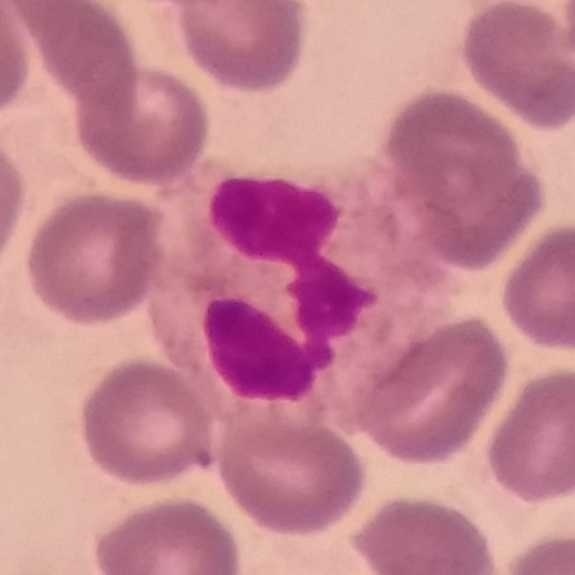Context: 100× magnification; peripheral blood film.

Cell — neutrophilic granulocyte.